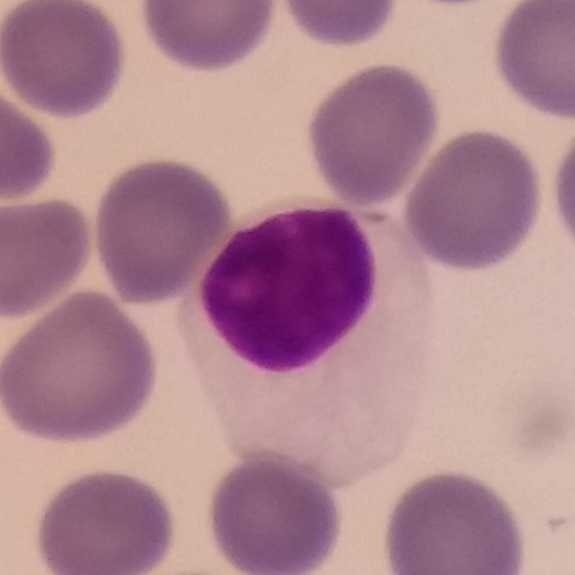 {"cell_type": "lymphocyte", "lineage": "lymphoid"}

Preparation: Photographed through a light microscope with a smartphone camera. Peripheral blood smear. Magnification 100×.